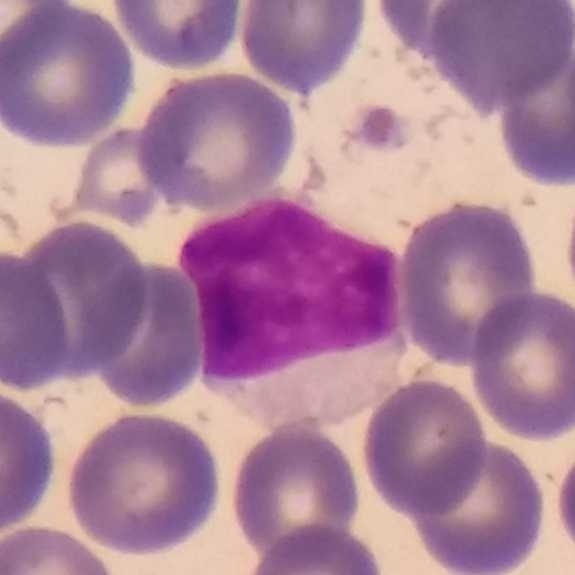
Smartphone camera mounted on the microscope eyepiece. Peripheral blood smear.
Morphology → lymphocyte.